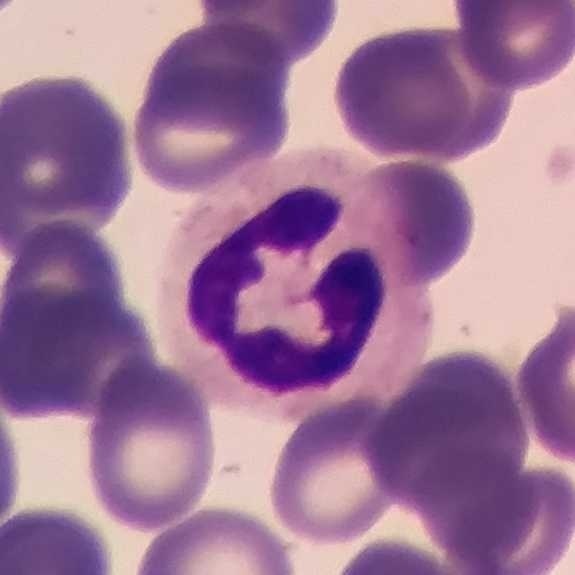

Q: Identify the cell.
A: Neutrophilic granulocyte.